Peripheral blood smear
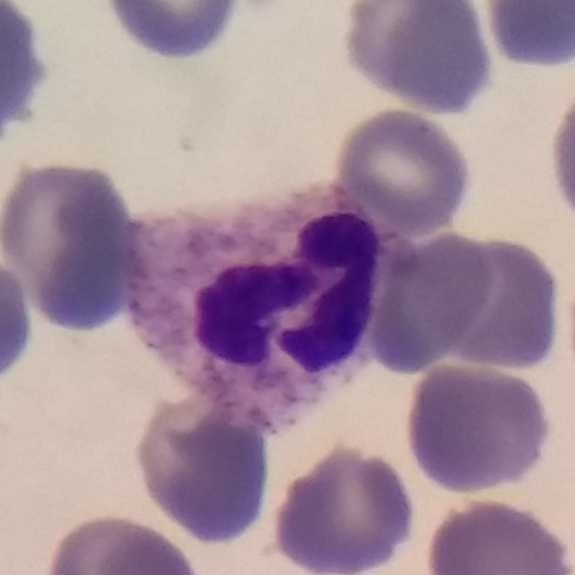 Q: Which cell type is shown here?
A: A neutrophil granulocyte.